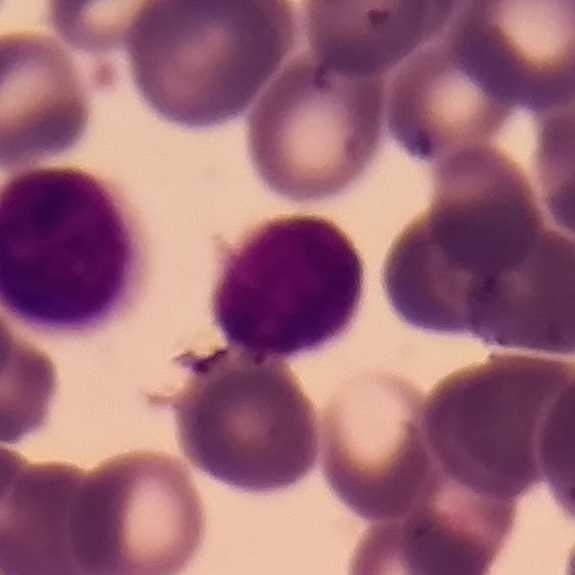
Showing a lymphocyte. 575×575; peripheral blood smear; Giemsa stain.